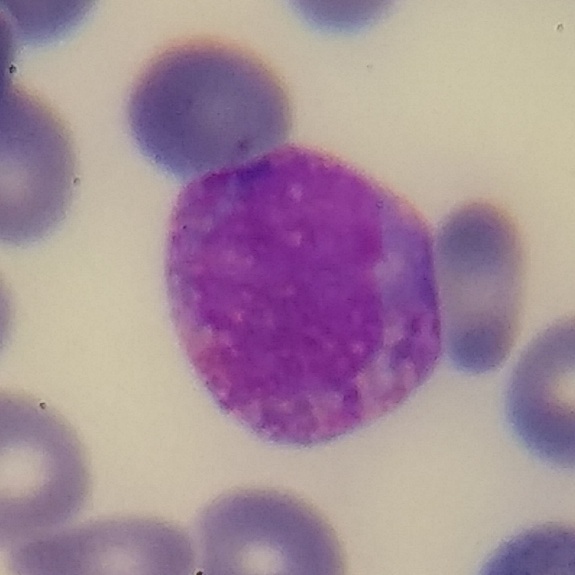
Image: Peripheral blood film.
The cell is basophil.